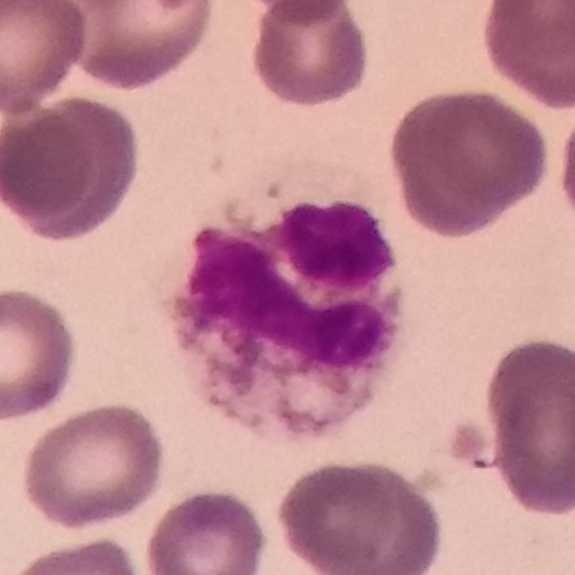Q: Which cell type is shown here?
A: Neutrophil.

Peripheral blood smear.